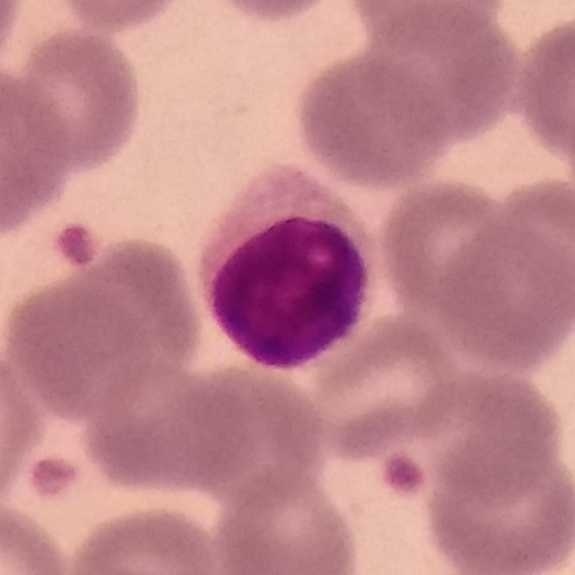 Lymphocyte.